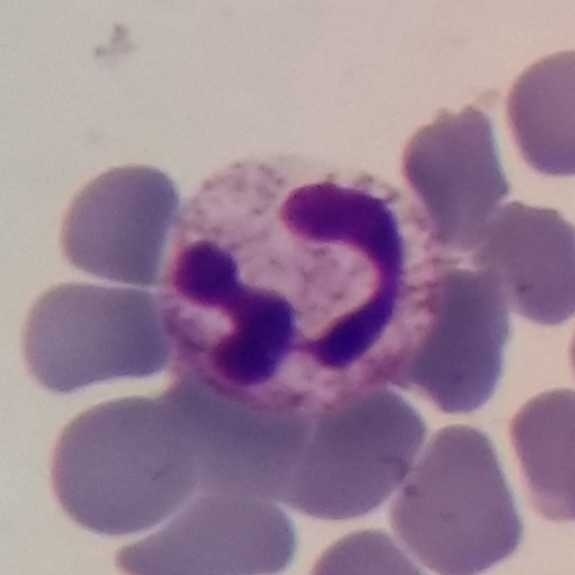Specimen: peripheral blood smear.
Cell: neutrophilic granulocyte.
Lineage: myeloid.